Peripheral blood smear. 100× magnification.
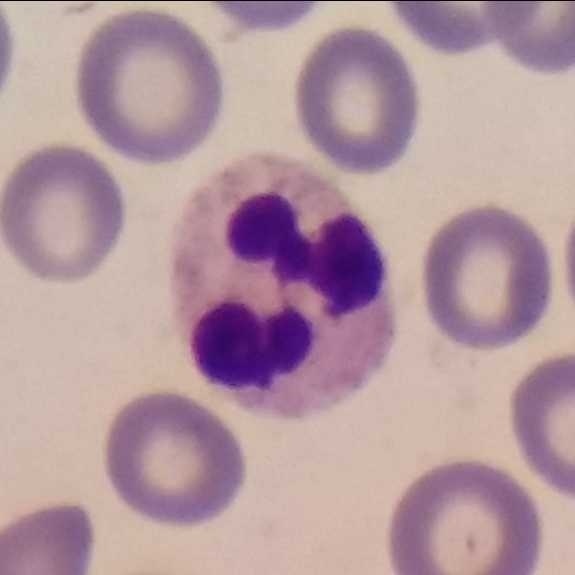The cell shown is a neutrophil.